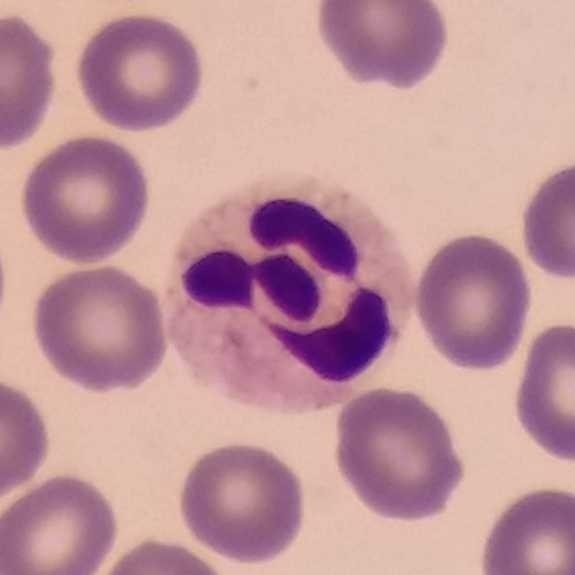Preparation: Peripheral blood film. Showing a neutrophil.